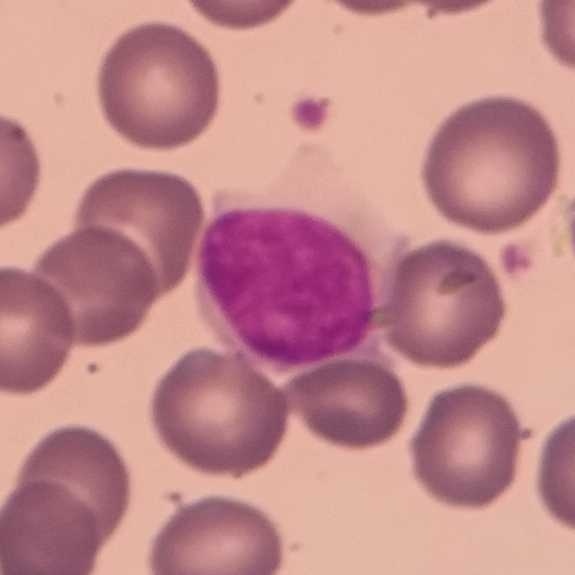Q: Classify this leukocyte.
A: It is a lymphocyte.

Context: Imaged at 100×; peripheral blood smear.